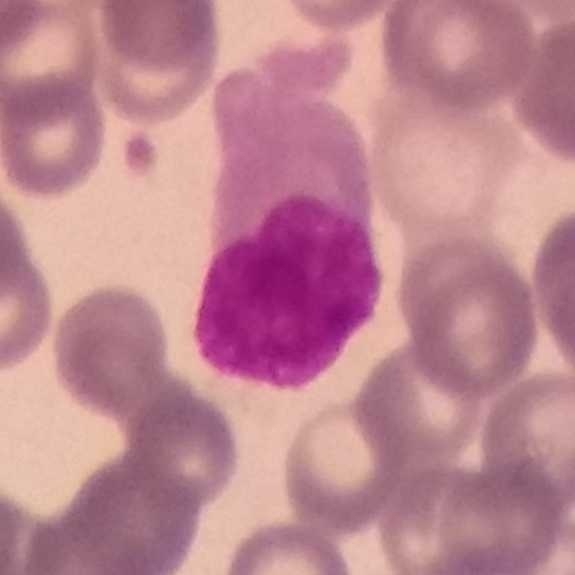
Morphology consistent with a monocyte.

Acquisition: Photographed through a light microscope with a smartphone camera · peripheral blood film.